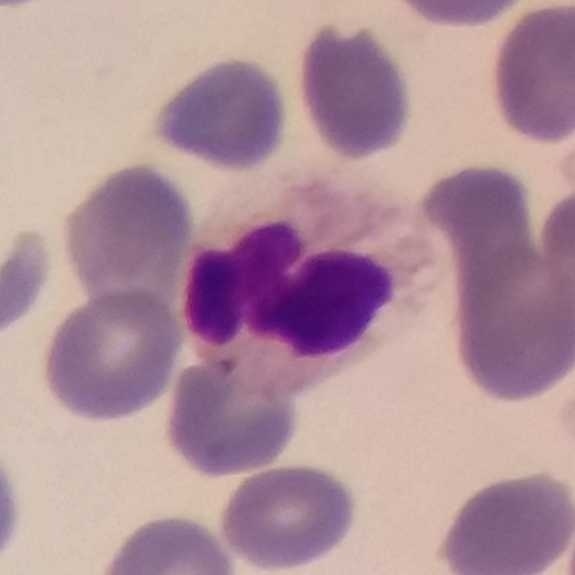 Context: Peripheral blood film.
The cell shown is a neutrophil granulocyte.